Peripheral blood smear · 575 by 575 pixels:
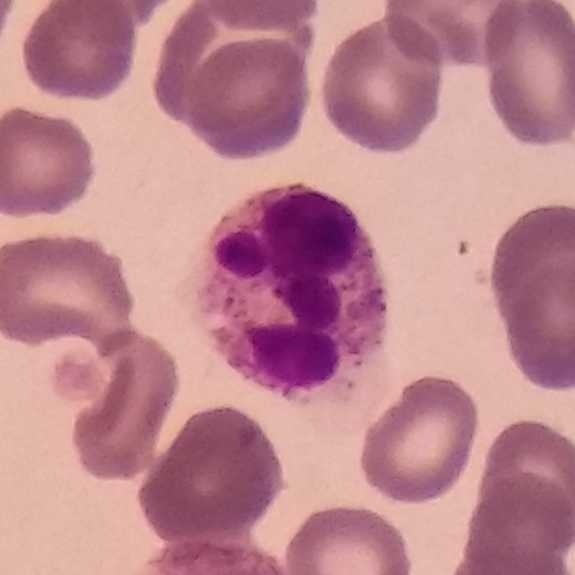

Neutrophil granulocyte.